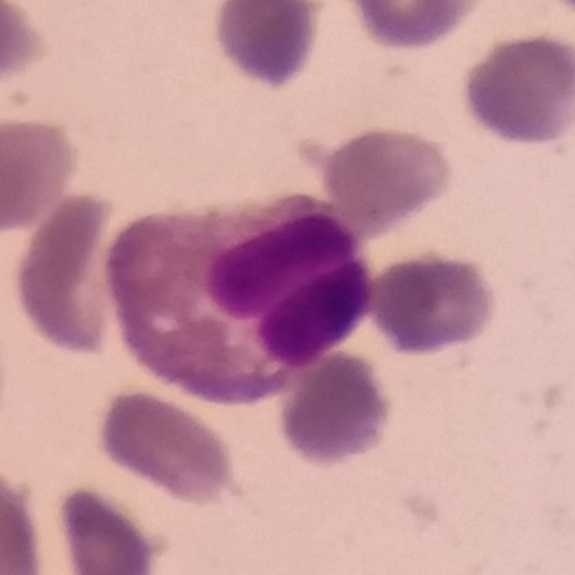 Peripheral blood film. Q: Which type of white blood cell is this?
A: It is an eosinophilic granulocyte.